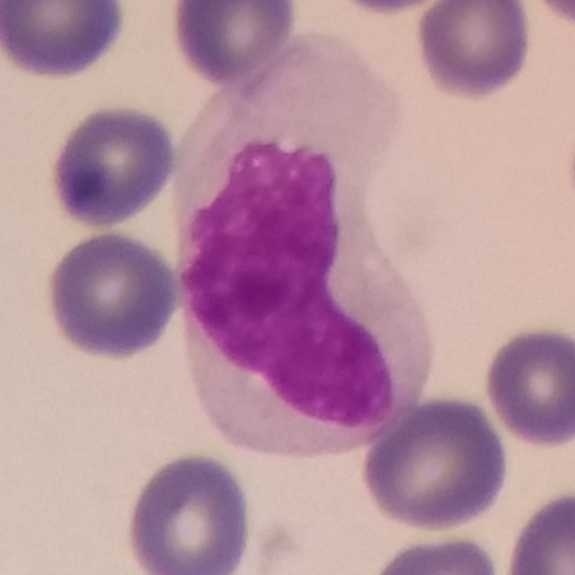

Image: Peripheral blood film.
The cell shown is a monocyte.